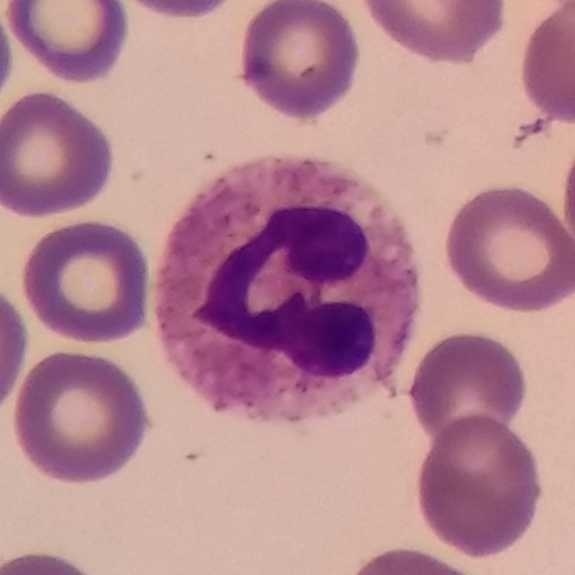Context: 575×575 px; smartphone camera mounted on the microscope eyepiece; peripheral blood film.
Single cell identified as a neutrophil granulocyte.